Peripheral blood film; single white blood cell cropped from the smear photograph; 575×575.
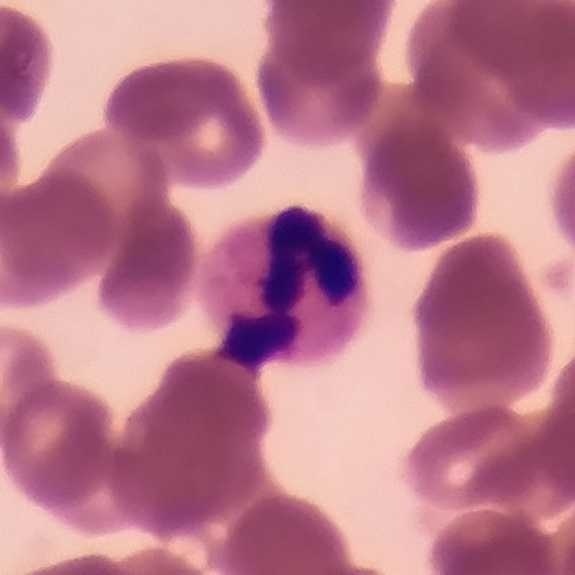
This is a neutrophilic granulocyte.